575×575; single white blood cell cropped from the smear photograph; peripheral blood smear:
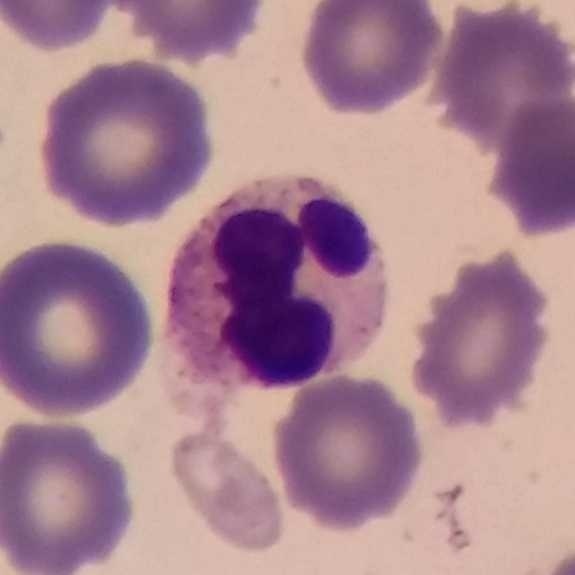

Q: Identify the cell.
A: It is a neutrophil granulocyte.